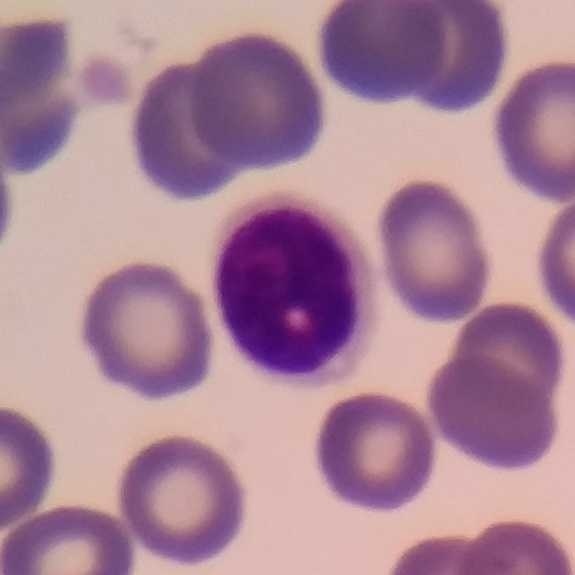

575×575. Peripheral blood smear.

Single cell identified as a lymphocyte.